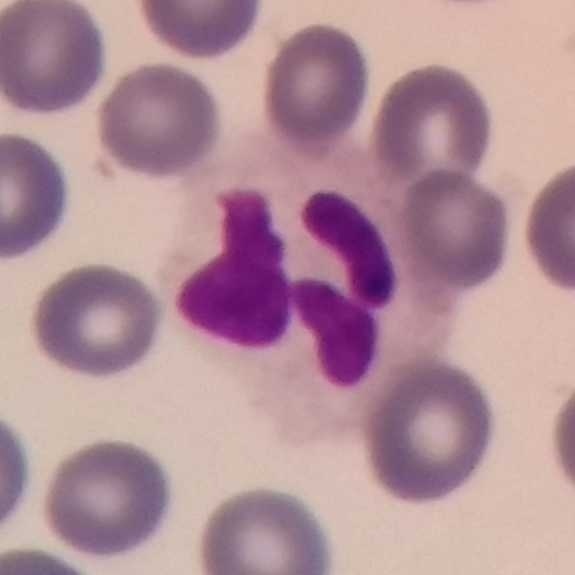 Image: Peripheral blood smear.
Cell type = neutrophilic granulocyte.